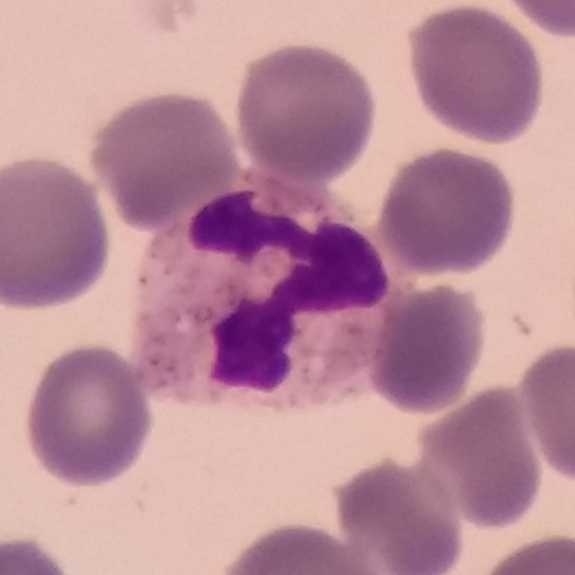
{"cell_type": "neutrophil granulocyte"}
Preparation: Photographed through a light microscope with a smartphone camera. Peripheral blood film.